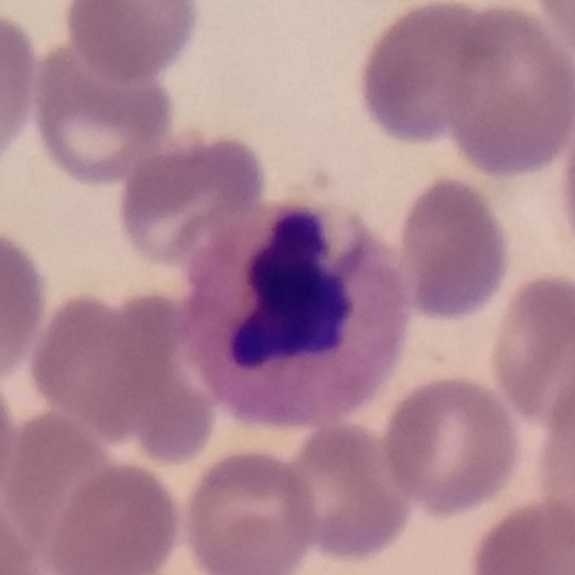

Acquisition: Image size 575×575 · peripheral blood smear · Giemsa-stained.
Impression — neutrophil.